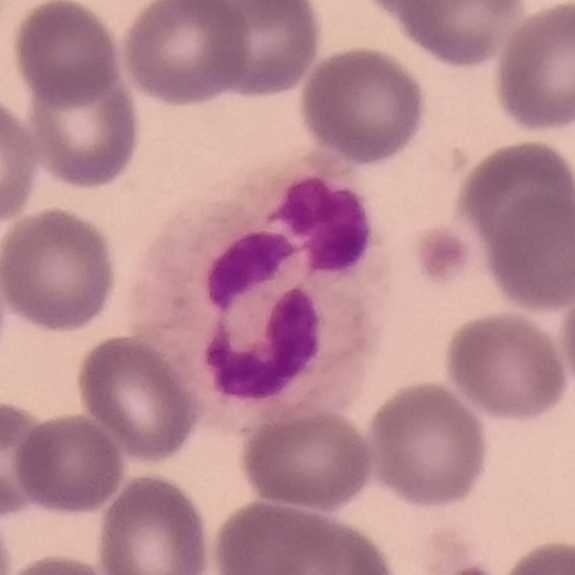

Q: What type of cell is this?
A: It is a neutrophilic granulocyte. Image: Peripheral blood film.